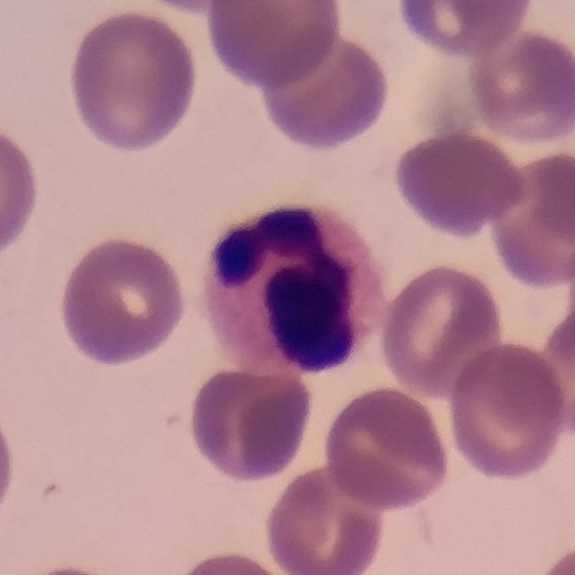 Morphology — neutrophilic granulocyte. Preparation: Peripheral blood smear · 100× magnification.